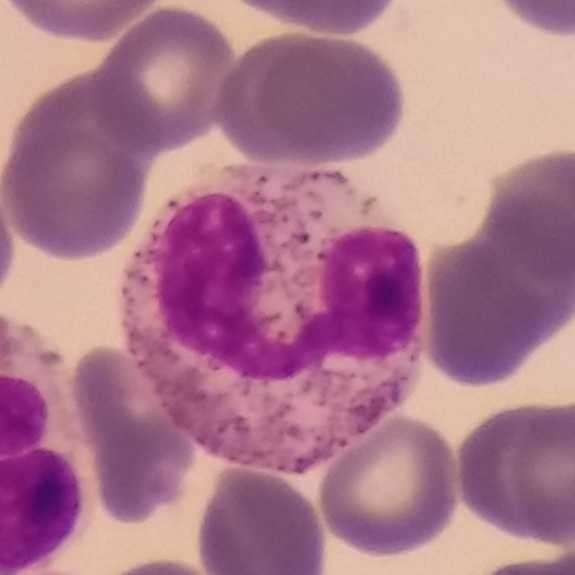
Peripheral blood smear.

The classification is eosinophilic granulocyte.